Cropped to one leukocyte. Peripheral blood film:
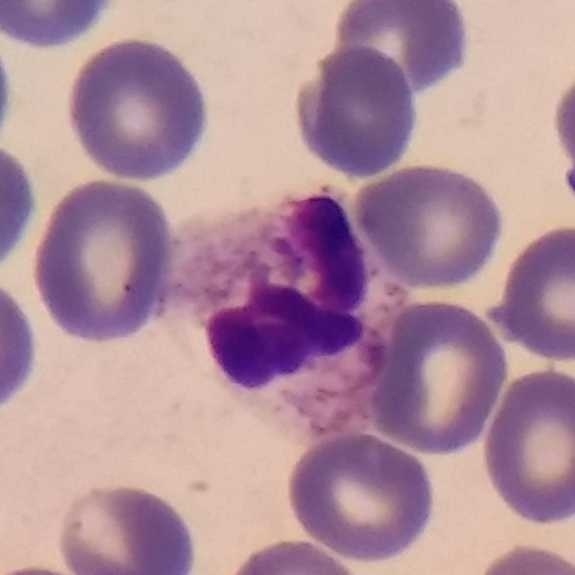 The white blood cell in this image is a neutrophil granulocyte.